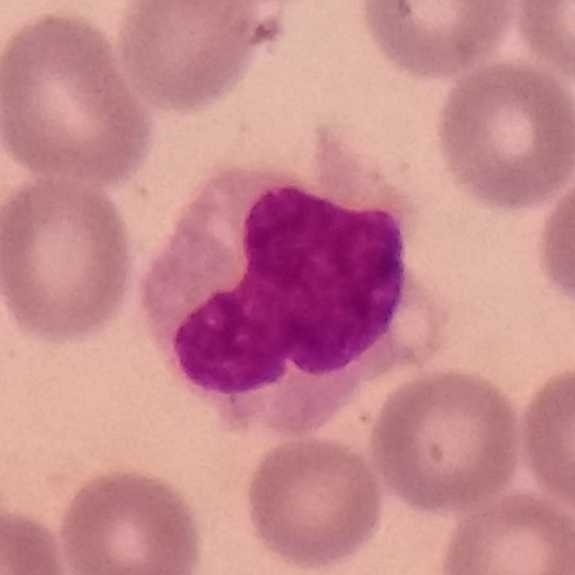 Q: What cell is this?
A: A monocyte.